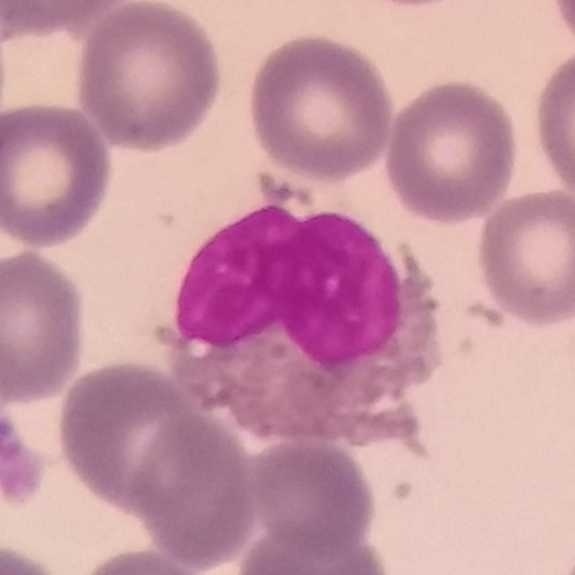
100× magnification · peripheral blood film · smartphone photomicrograph. Q: Which type of white blood cell is this?
A: Eosinophilic granulocyte.